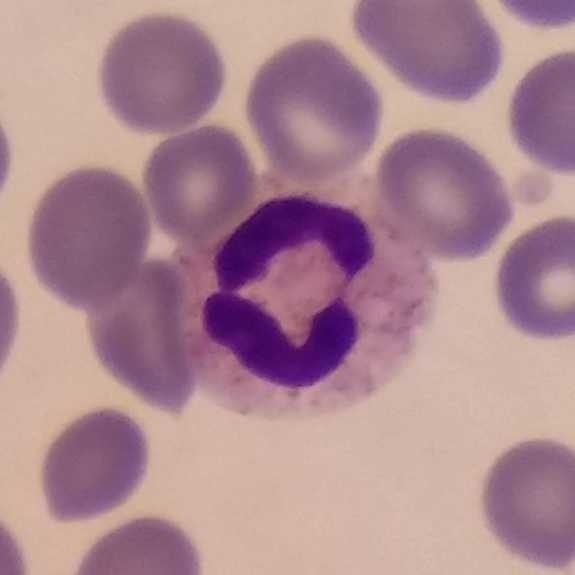
Specimen: peripheral blood smear.
Classification: neutrophil.
Lineage: myeloid.